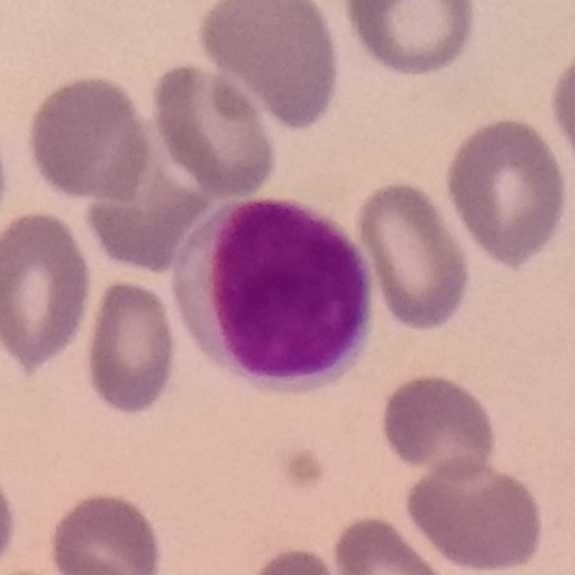Image: Peripheral blood film. Q: What is this?
A: Lymphocyte.